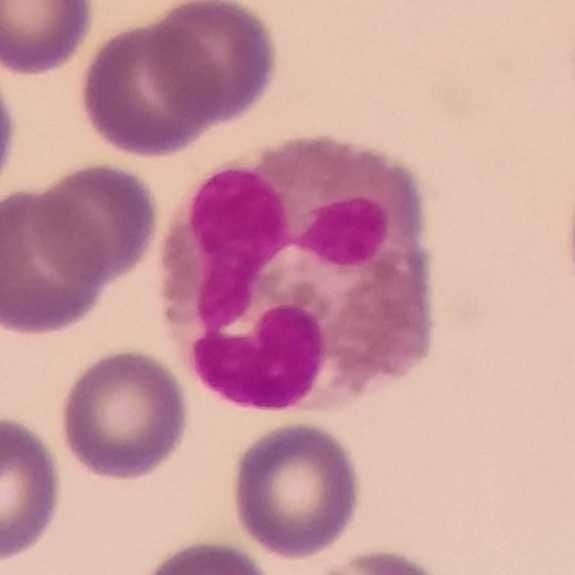

Preparation: Peripheral blood smear.

Morphology — eosinophil.